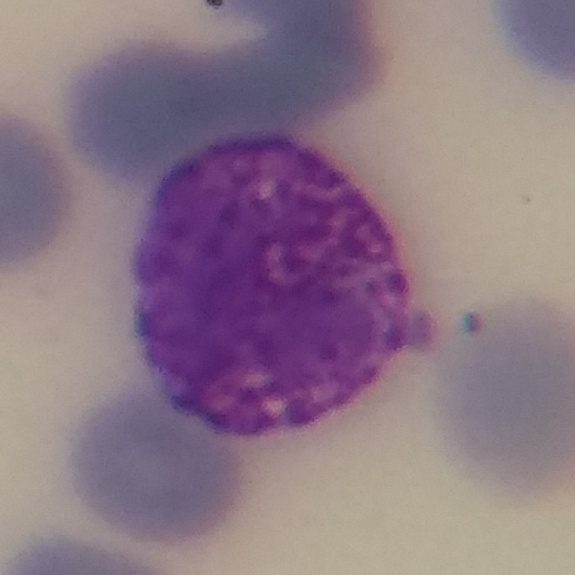Q: What is this?
A: Basophil. Image: Peripheral blood smear.